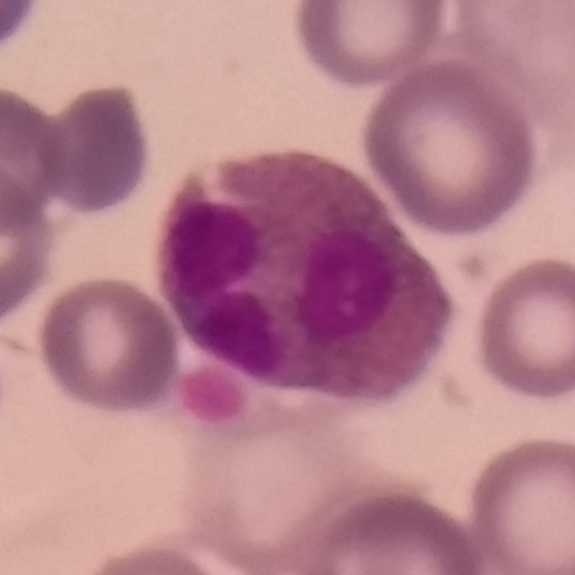
Morphological class = eosinophilic granulocyte.